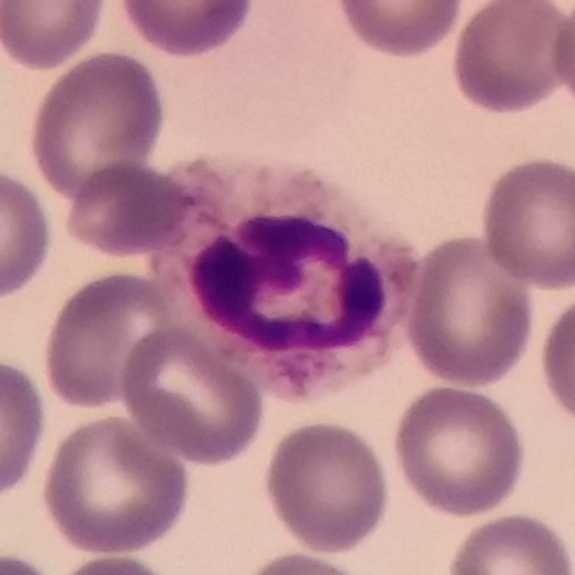

Q: What is the morphological classification of this cell?
A: This is a neutrophil.
Peripheral blood smear. Image size 575×575.